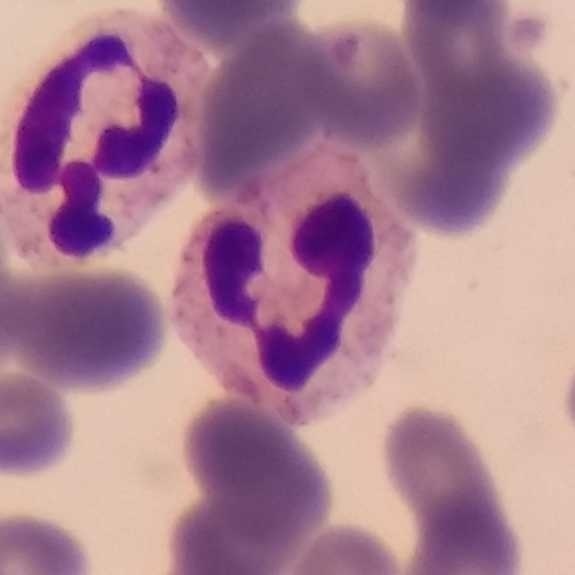
Acquisition: Peripheral blood smear. Q: Classify this leukocyte.
A: It is a neutrophil.